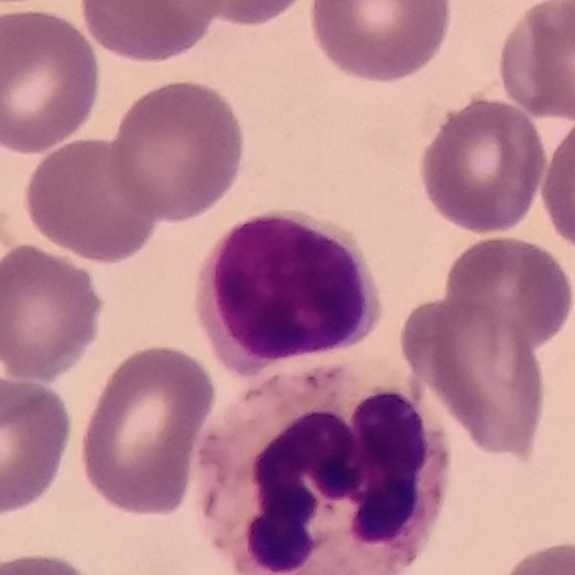

Giemsa stain. Peripheral blood smear.

{"cell_type": "lymphocyte"}